Peripheral blood smear
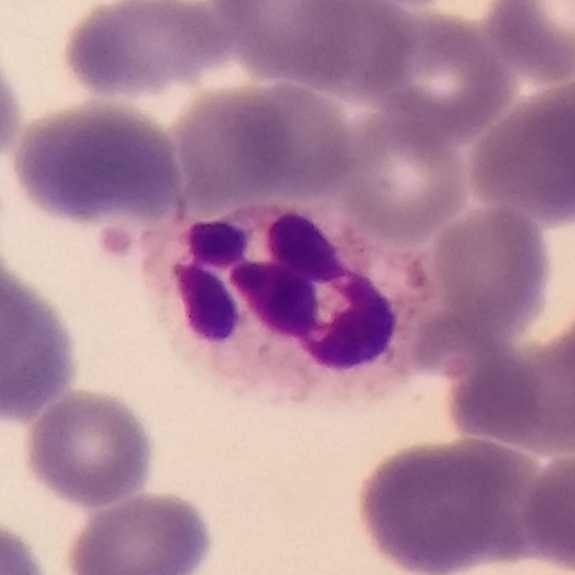 Impression — neutrophilic granulocyte.